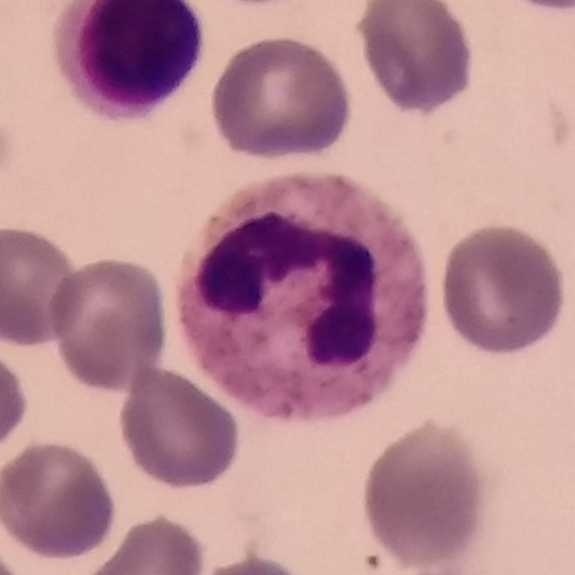The morphological class is neutrophil.